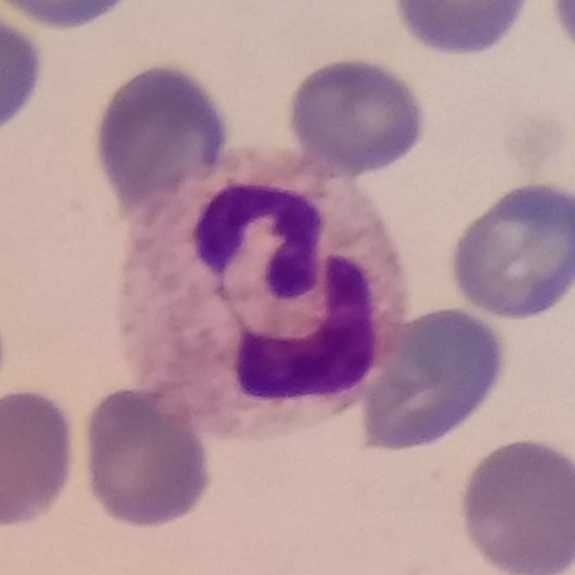

Q: What cell is this?
A: It is a neutrophil granulocyte.